Peripheral blood smear. Single-cell crop — 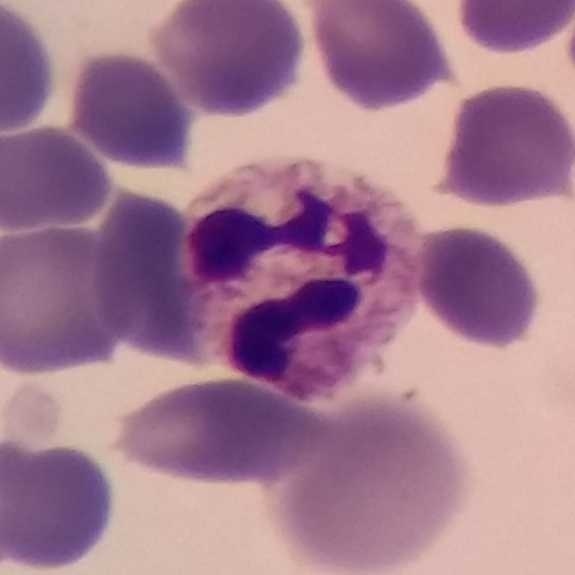A neutrophil.